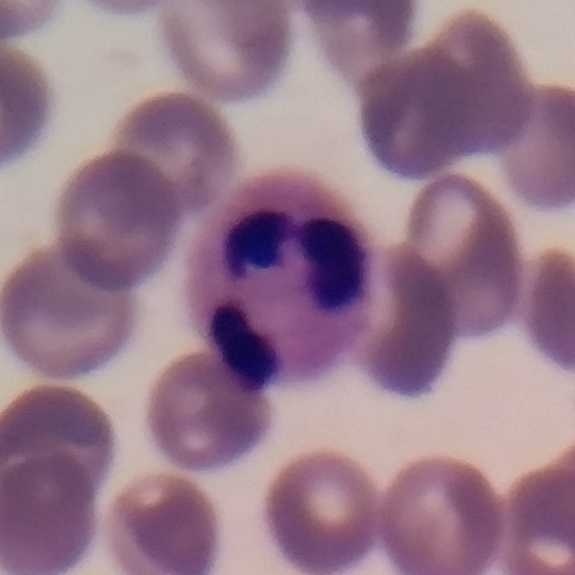Peripheral blood film · single-cell field · phone-camera image taken through the microscope ocular. This is a neutrophil granulocyte.